Peripheral blood smear; Giemsa-stained
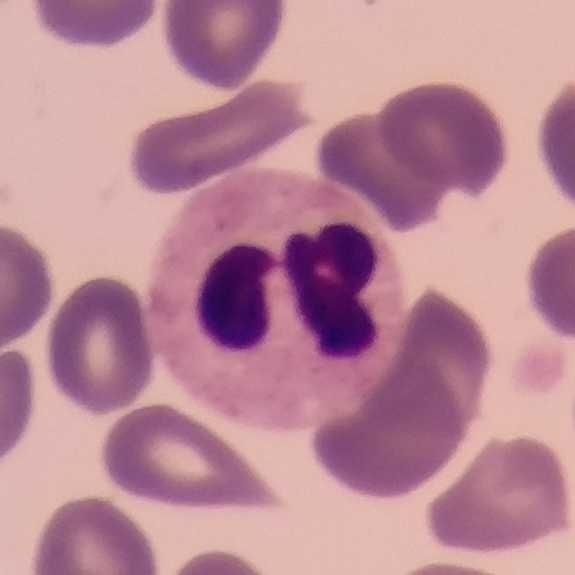Impression — neutrophilic granulocyte.